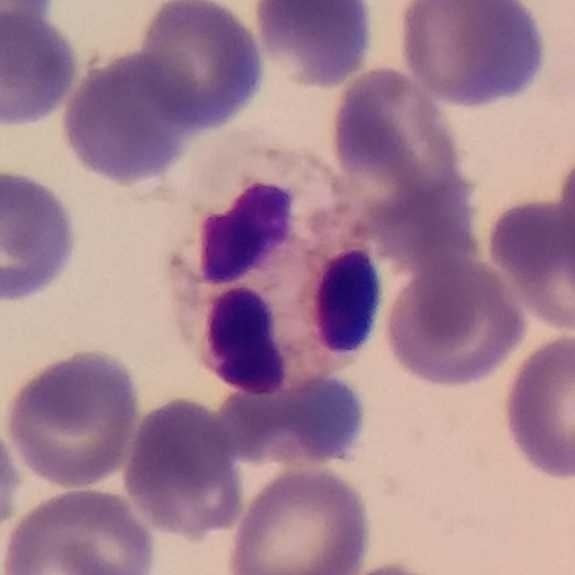

Morphology — neutrophilic granulocyte. Peripheral blood smear.